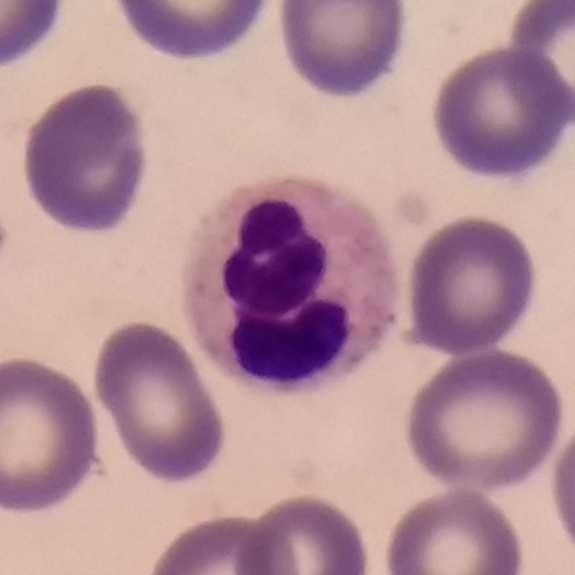

Morphological class: neutrophilic granulocyte.

Peripheral blood smear.